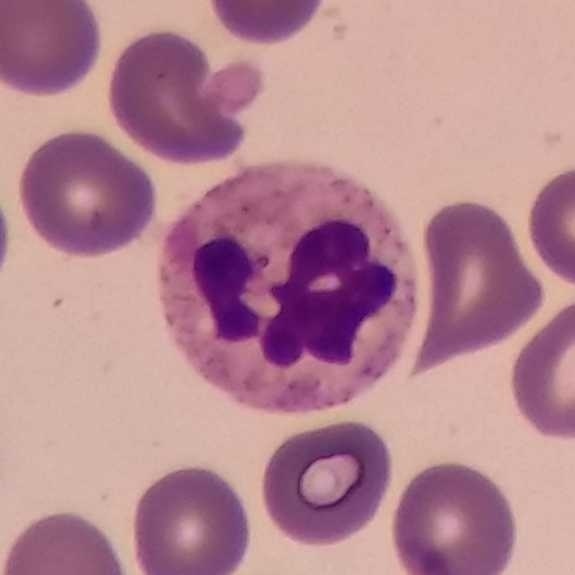 Cell — neutrophil.